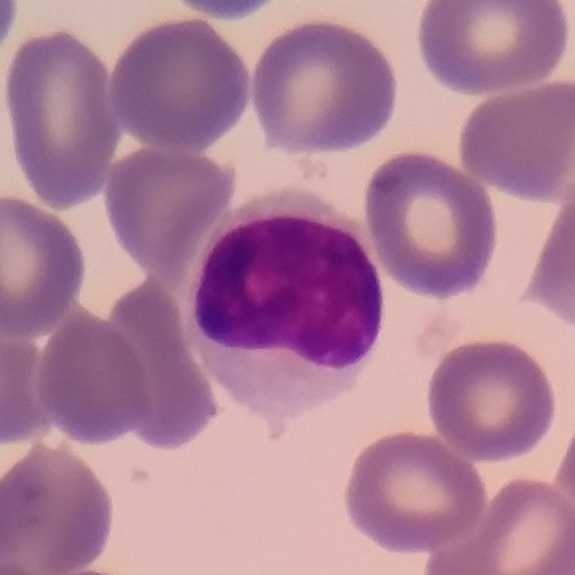

Context: Peripheral blood film.

Q: What is shown here?
A: A lymphocyte.